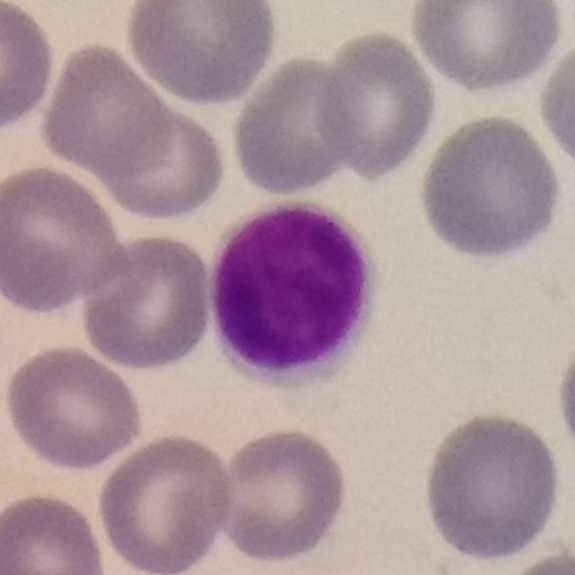Specimen: peripheral blood film.
Cell type: lymphocyte.
Lineage: lymphoid.
575 by 575 pixels. Magnification 100×.